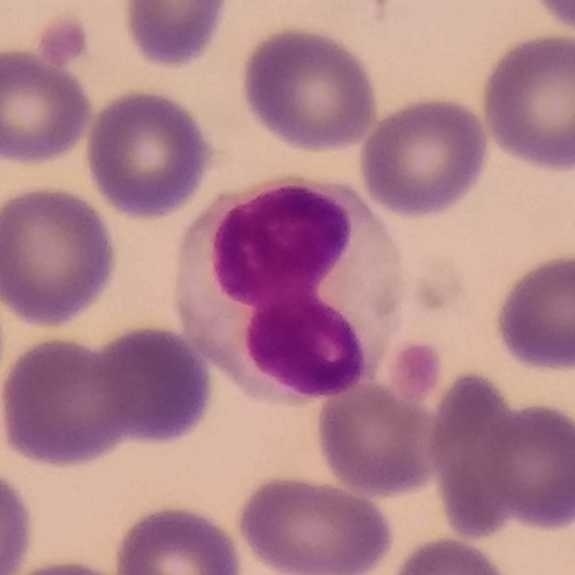
Context: Peripheral blood smear.
Q: Which cell type is shown here?
A: It is a lymphocyte.